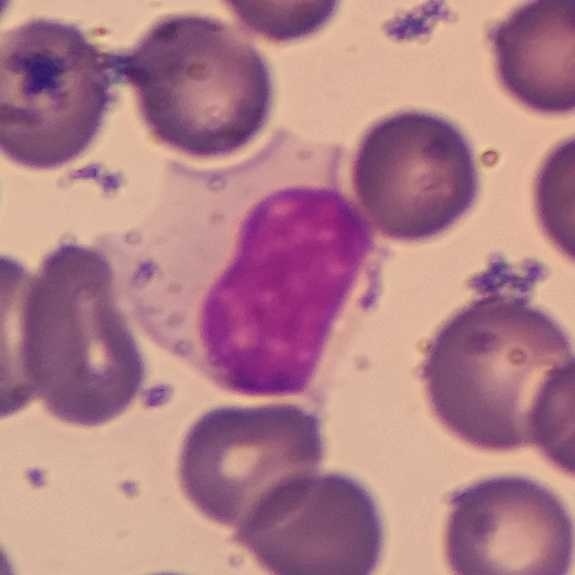Peripheral blood smear.

Cell: lymphocyte.